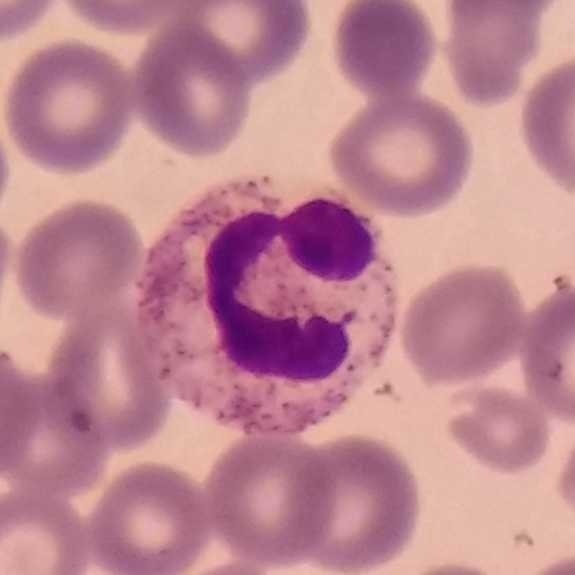The white blood cell in this image is a neutrophil.

Peripheral blood film · 575×575.